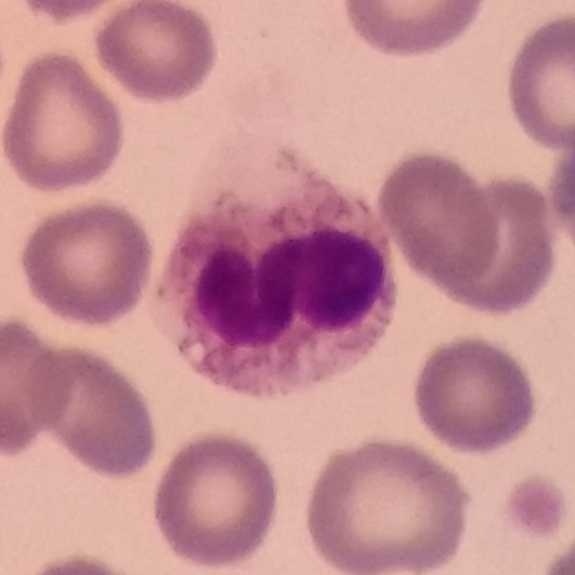 This is a neutrophilic granulocyte.

Peripheral blood film.